Single white blood cell cropped from the smear photograph · peripheral blood film
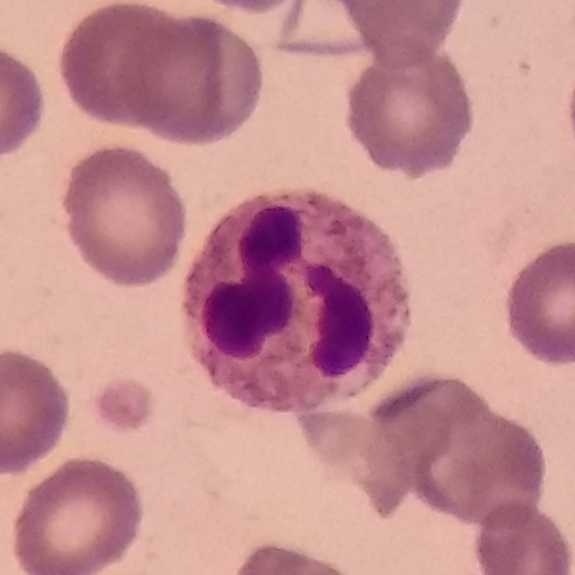Showing a neutrophil granulocyte.